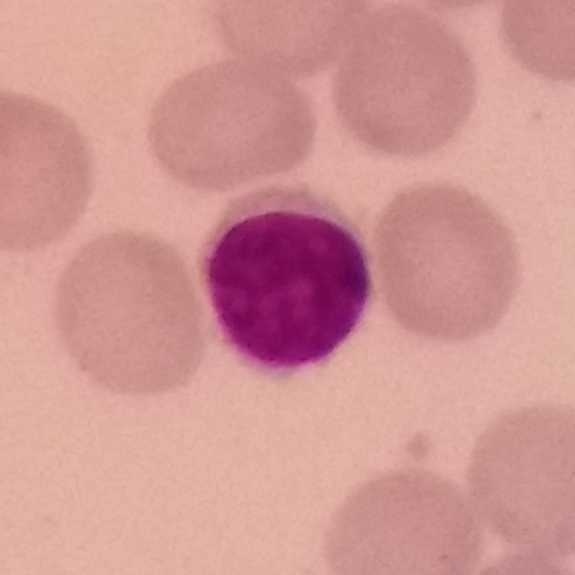 Morphology — lymphocyte.